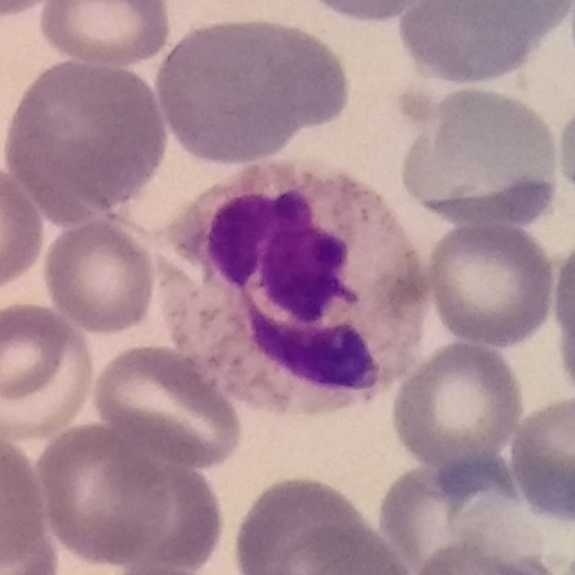 Classification = neutrophil granulocyte.
Acquisition: Peripheral blood film; 575 by 575 pixels.